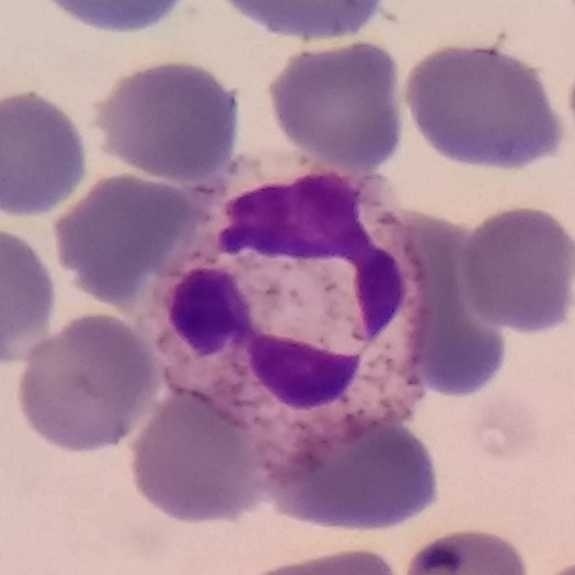This is a neutrophilic granulocyte. Context: Peripheral blood smear; imaged at 100×.